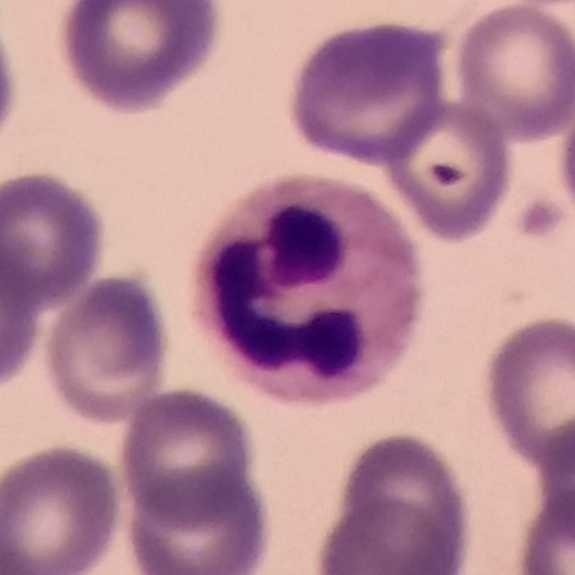
Image: Peripheral blood film. Giemsa-stained.

The cell is neutrophil.